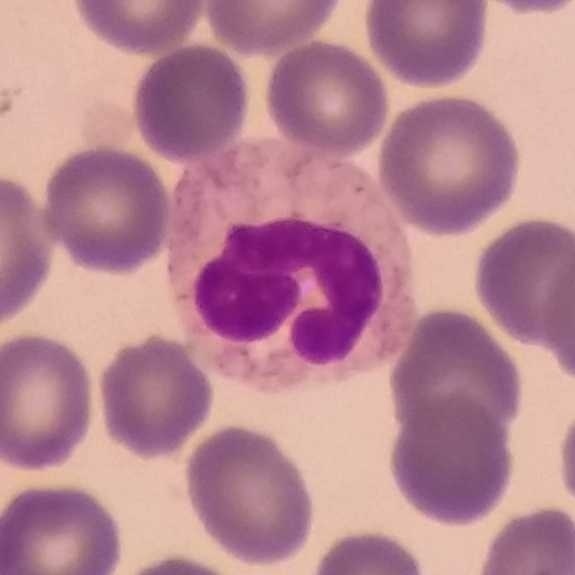
Q: What is the morphological classification of this cell?
A: A neutrophil.